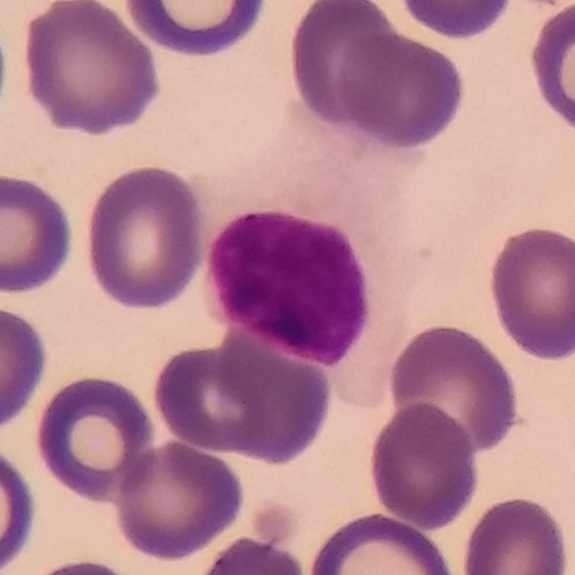
Single-cell field; peripheral blood film; 100× magnification. Showing a lymphocyte.